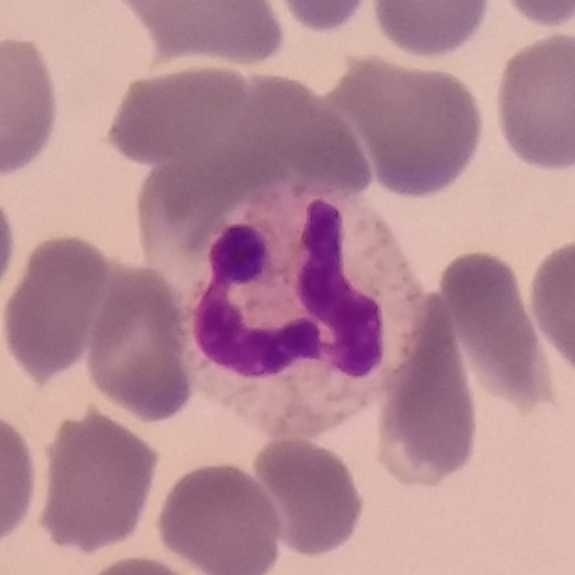 Neutrophil granulocyte. Imaged at 100× · peripheral blood film.